Peripheral blood film:
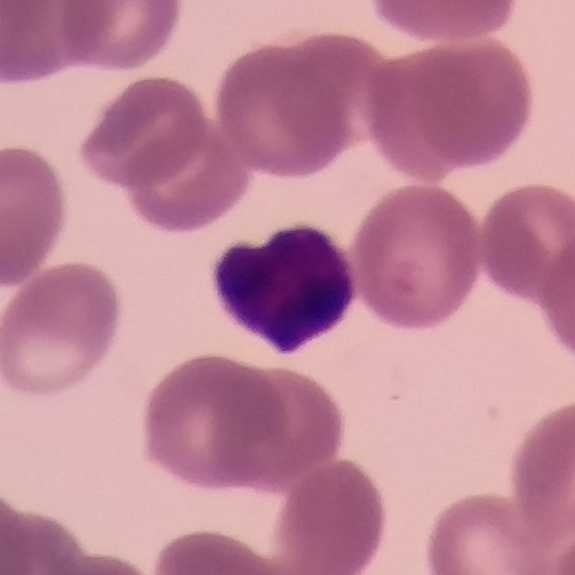 The white blood cell in this image is a lymphocyte.